Peripheral blood smear. Giemsa-stained:
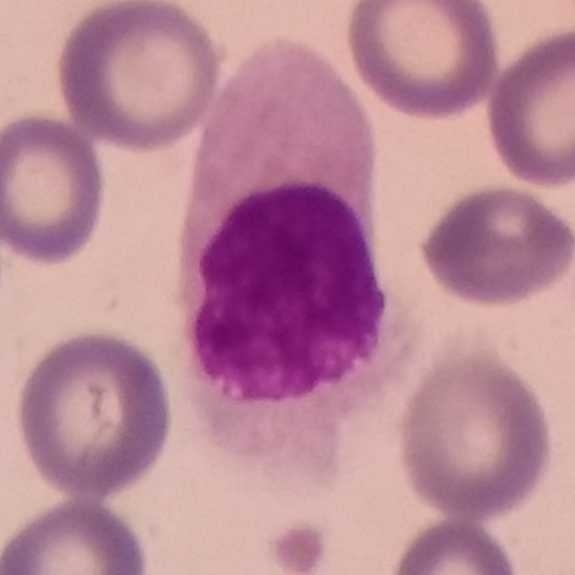 The cell shown is a monocyte.